Smartphone photomicrograph · imaged at 100× · peripheral blood film: 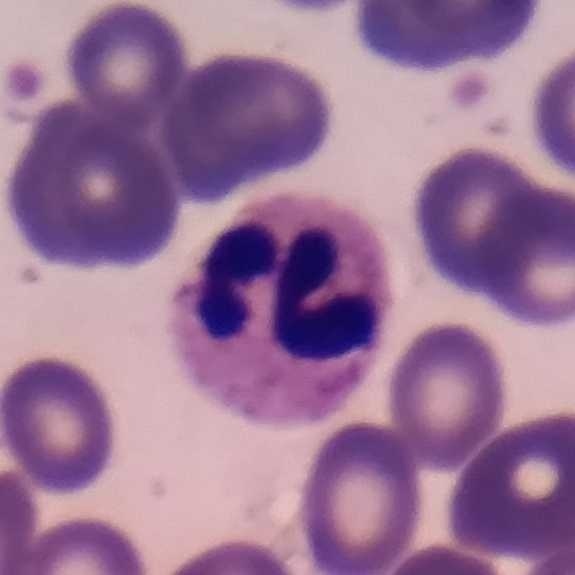Neutrophilic granulocyte.